Giemsa stain. Peripheral blood film:
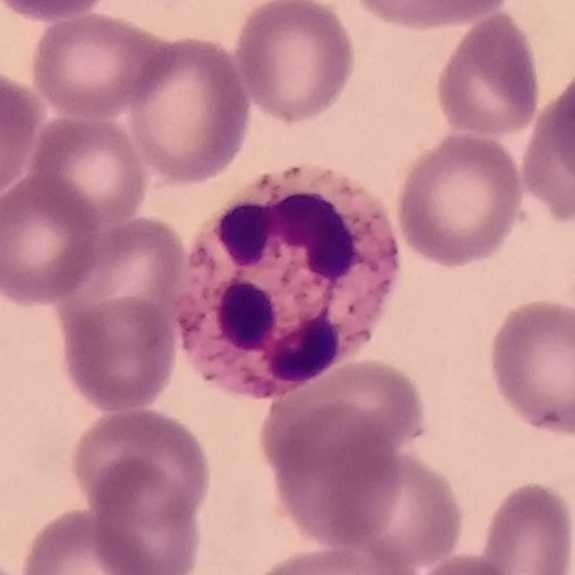

The white blood cell in this image is a neutrophil granulocyte.